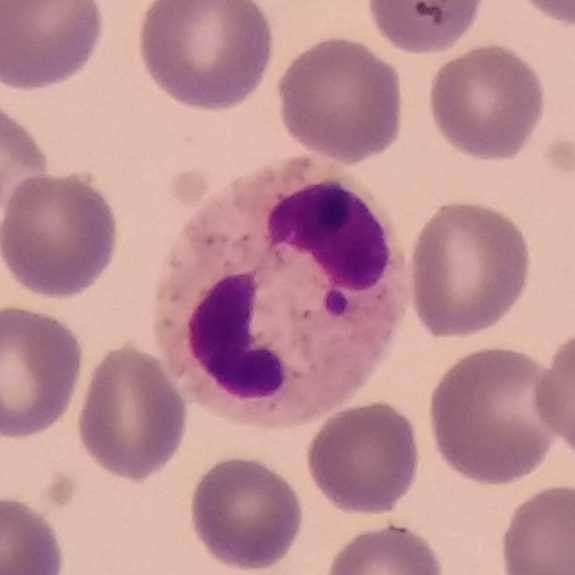

Cell = neutrophilic granulocyte.
Image: Peripheral blood smear · imaged at 100×.